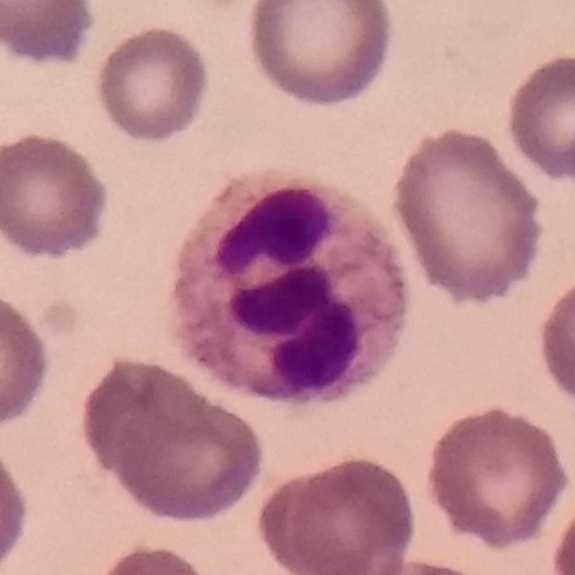
Morphology → neutrophil.